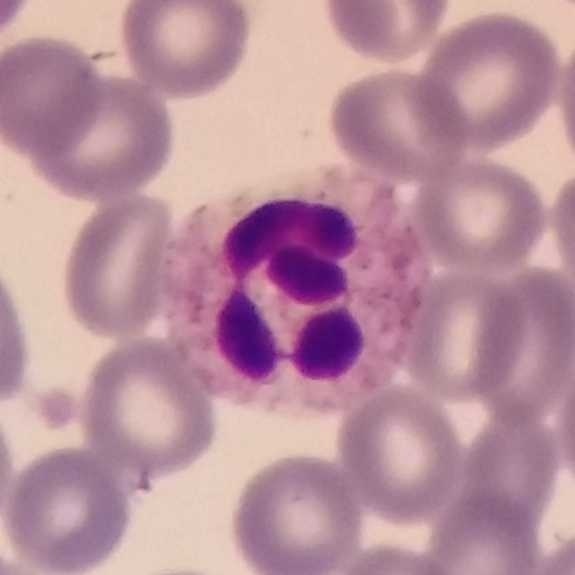
Context: Peripheral blood smear.

Cell type — neutrophilic granulocyte.